Peripheral blood smear — 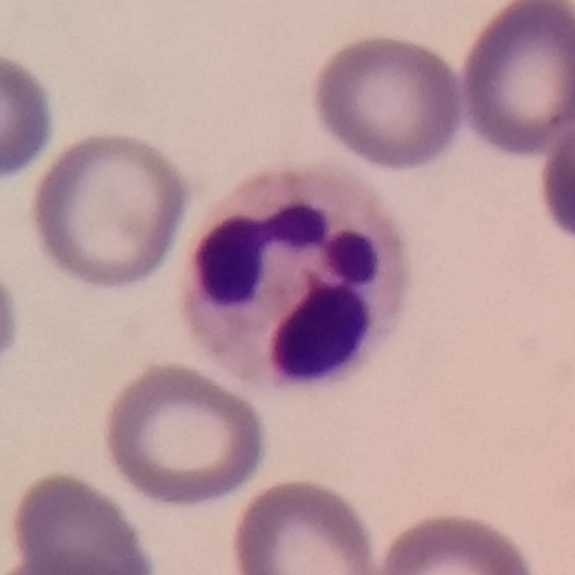 {"cell_type": "neutrophil", "lineage": "myeloid"}